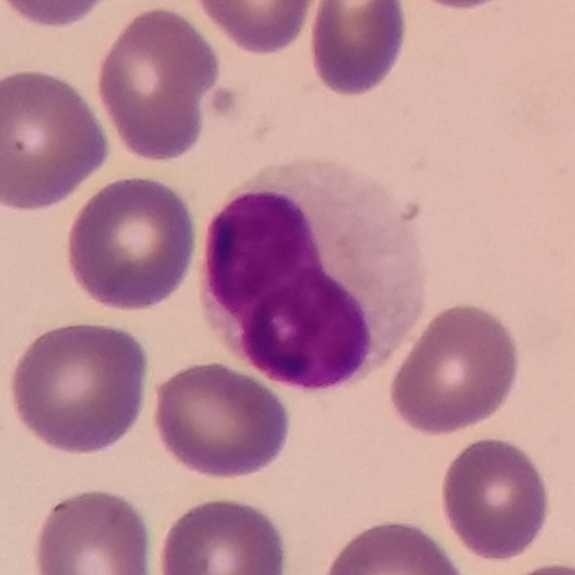Specimen: peripheral blood smear.
White blood cell type: lymphocyte.
Preparation: Image size 575×575.